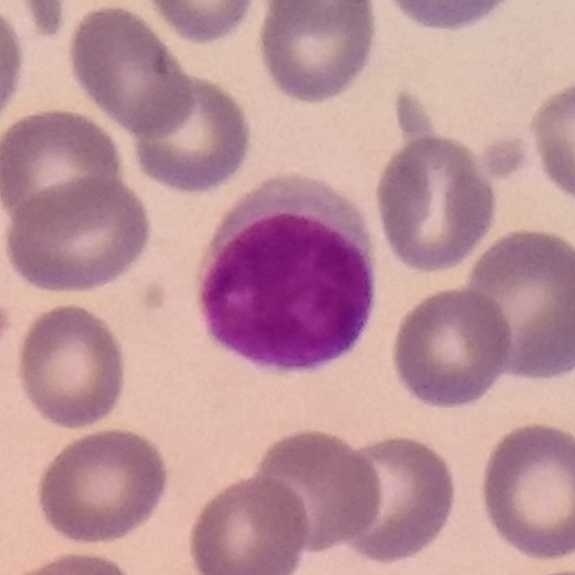

The cell shown is a lymphocyte.